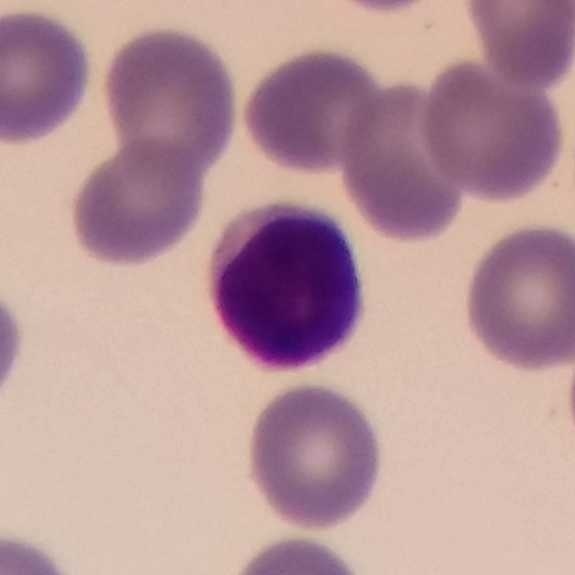The classification is lymphocyte.